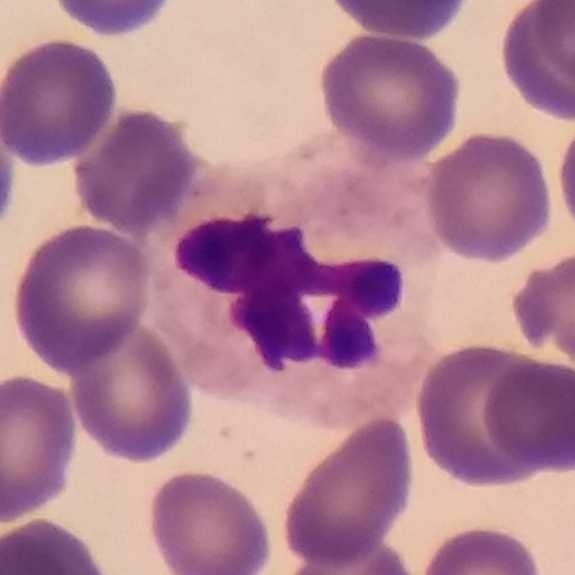Acquisition: Peripheral blood film · Giemsa-stained.
Cell — neutrophil granulocyte.